Peripheral blood film; phone-camera image taken through the microscope ocular:
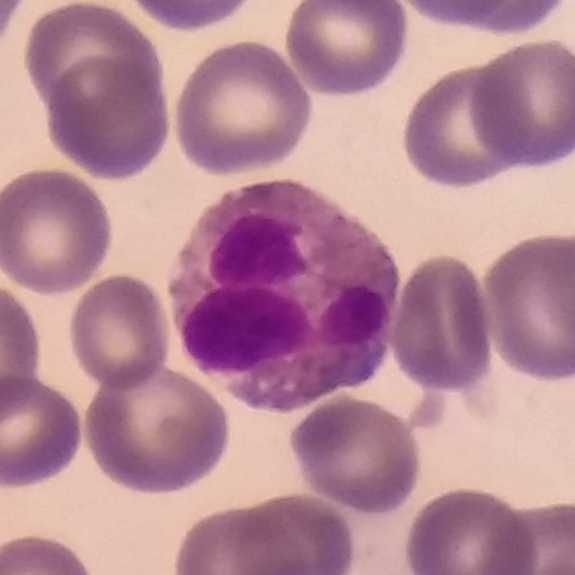Morphology — eosinophil.